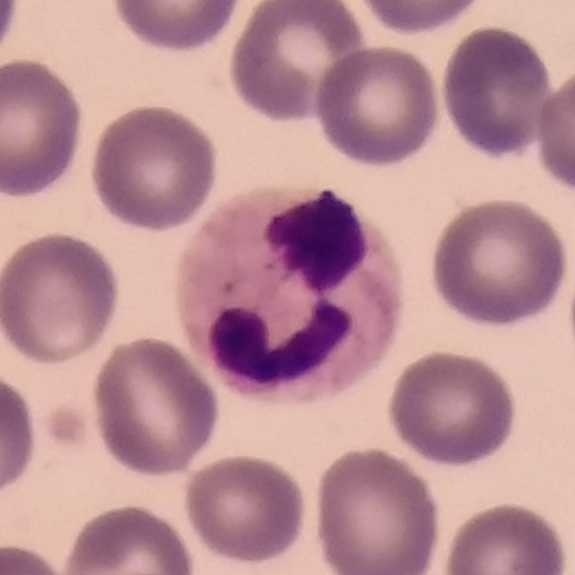
Context: Single-cell field; peripheral blood film; smartphone photomicrograph.
Morphology consistent with a neutrophil granulocyte.